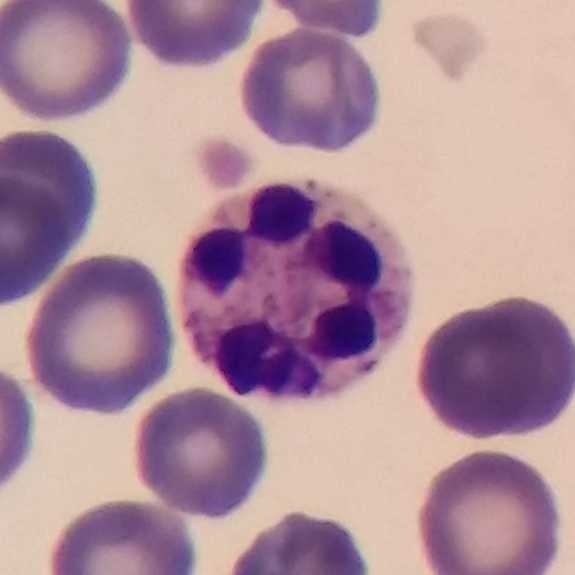Identified as a neutrophil granulocyte.
Image: Peripheral blood smear · single white blood cell cropped from the smear photograph.